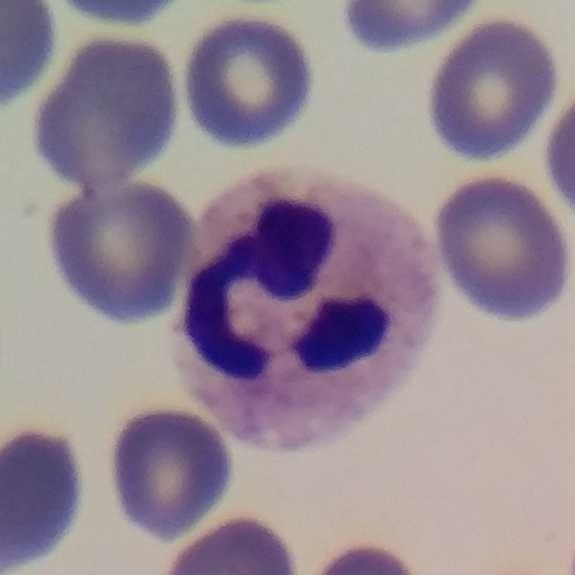

Image: Peripheral blood film.
Q: What is shown here?
A: This is a neutrophilic granulocyte.